Peripheral blood film. Single-cell field.
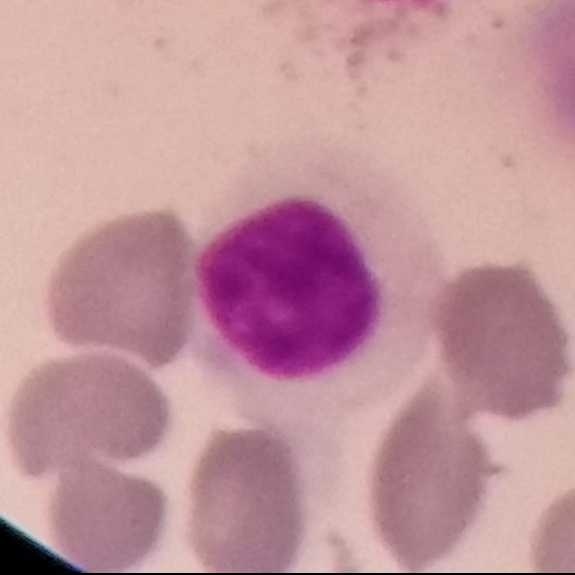 {"cell_type": "lymphocyte", "lineage": "lymphoid"}